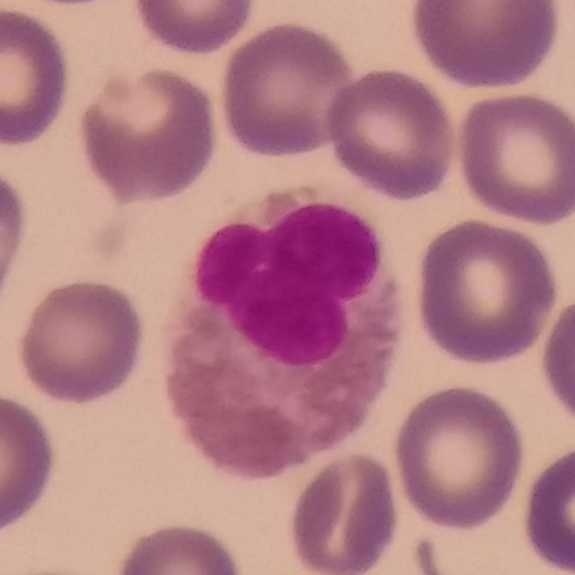
An eosinophil on a peripheral blood smear.